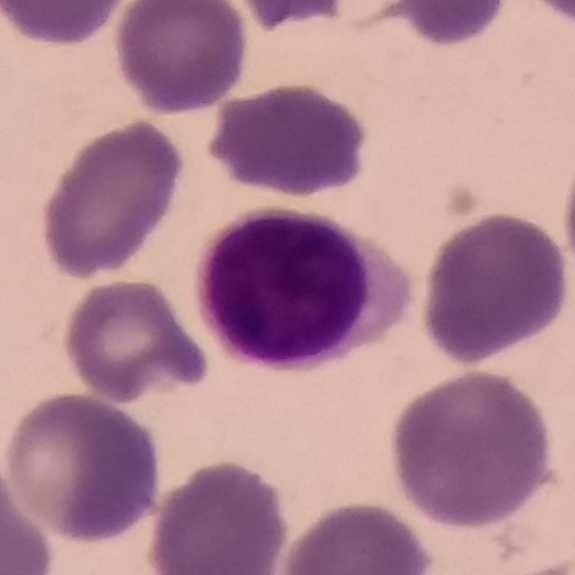 Image: Peripheral blood film. Single cell identified as a lymphocyte.